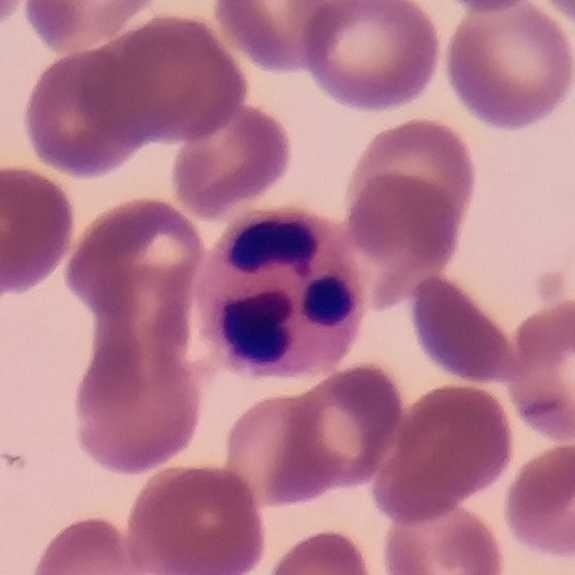

The cell shown is a neutrophil granulocyte.

Context: Peripheral blood smear; Giemsa-stained.